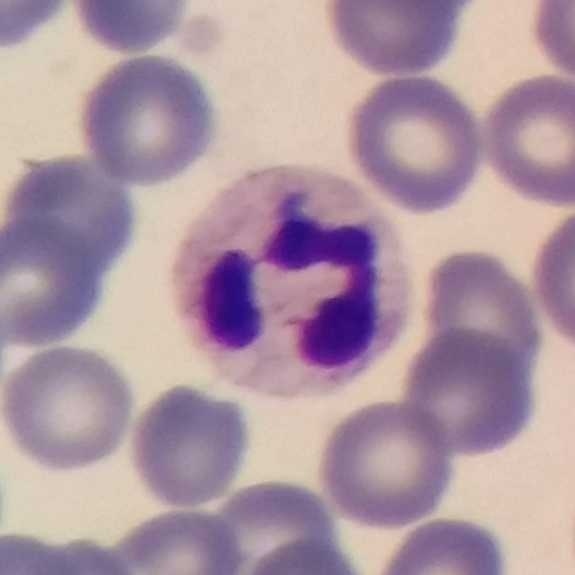

Image: Peripheral blood smear; magnification 100×.

This is a neutrophil granulocyte.